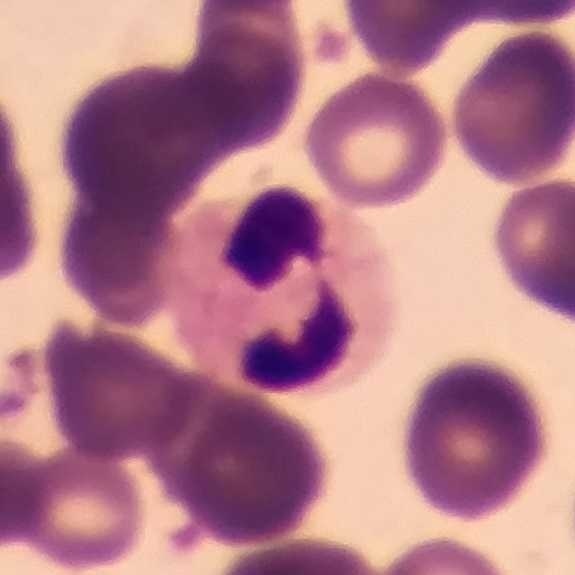
The morphological class is neutrophil.